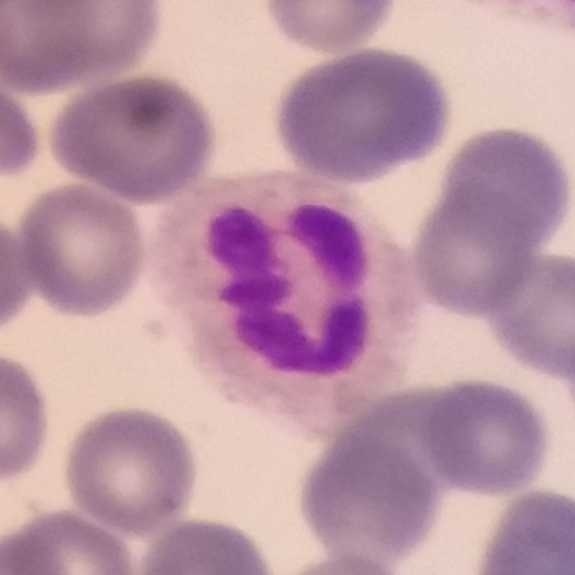 Morphology → neutrophil granulocyte.
Context: Peripheral blood smear; single-cell crop; 575 by 575 pixels.